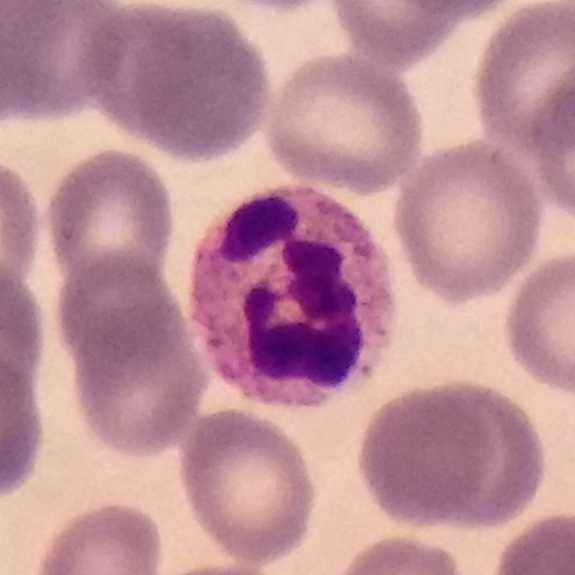
Cell type: neutrophil granulocyte.